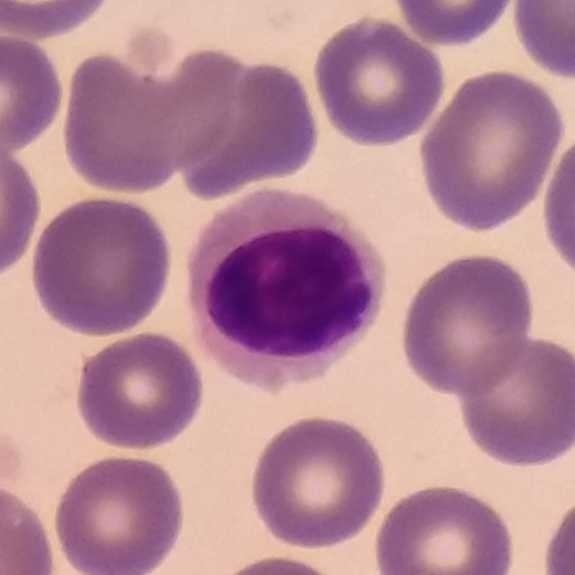
Image: Peripheral blood film. 100× magnification. Cell = lymphocyte.